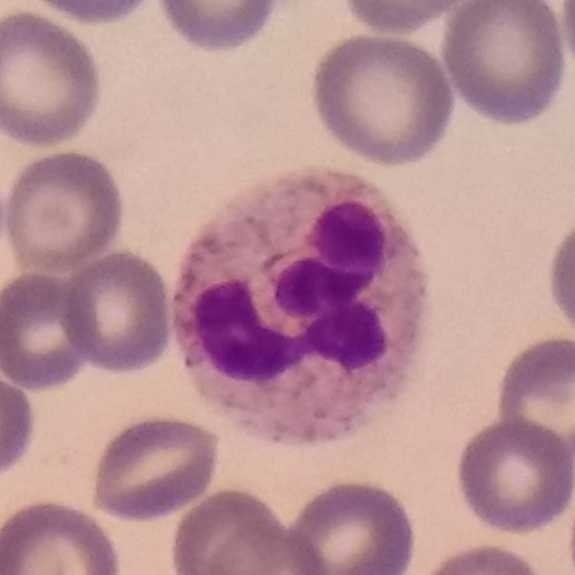 Peripheral blood smear.

Neutrophil granulocyte.